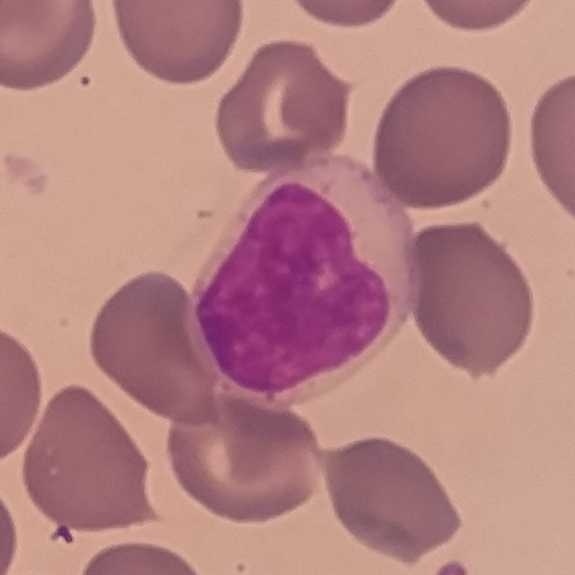Peripheral blood smear.
Morphology consistent with a monocyte.